Giemsa-stained · peripheral blood film: 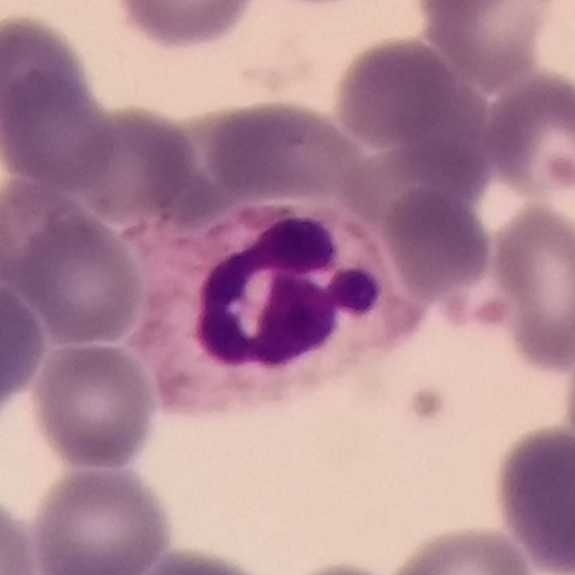
Q: Identify the cell.
A: It is a neutrophil.